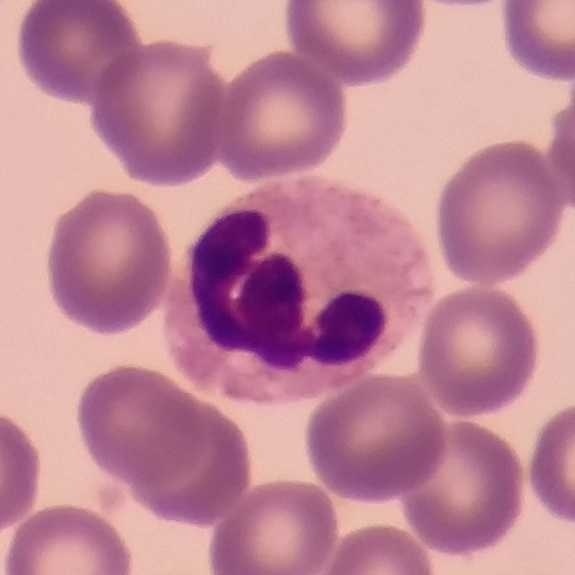 Classification: neutrophilic granulocyte. Acquisition: Peripheral blood smear · imaged at 100×.